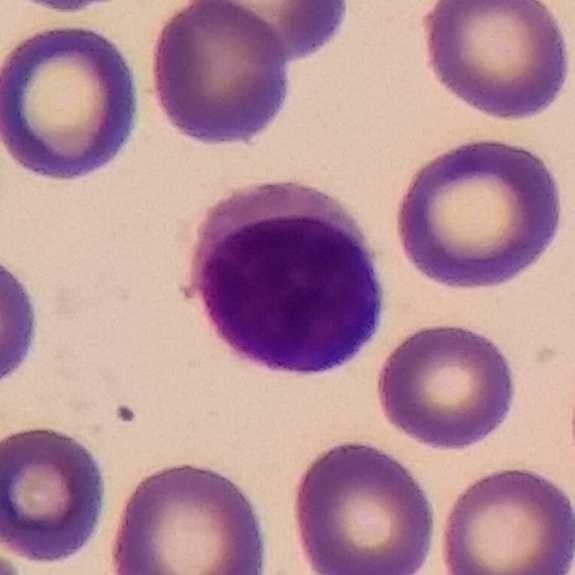Morphology consistent with a lymphocyte.

Peripheral blood smear; Giemsa-stained; 575×575 px.